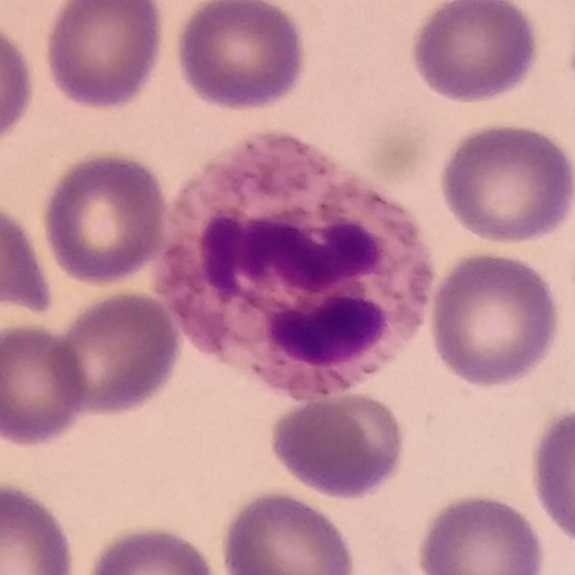

Acquisition: Giemsa-stained · peripheral blood film.
White blood cell type — neutrophilic granulocyte.